Peripheral blood film.
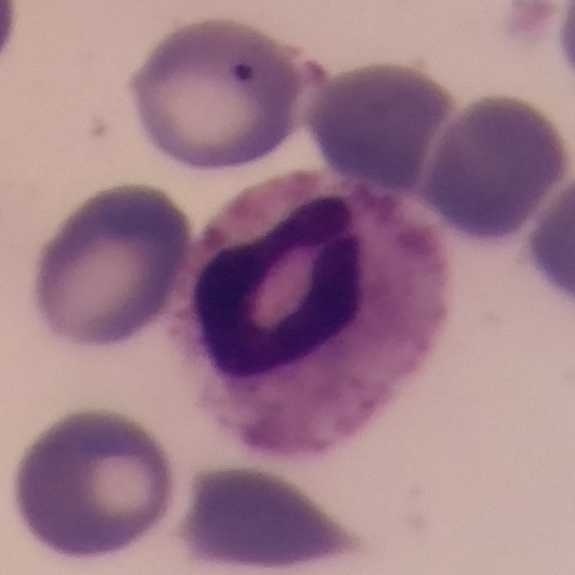
Q: What is the morphological classification of this cell?
A: It is a neutrophil granulocyte.